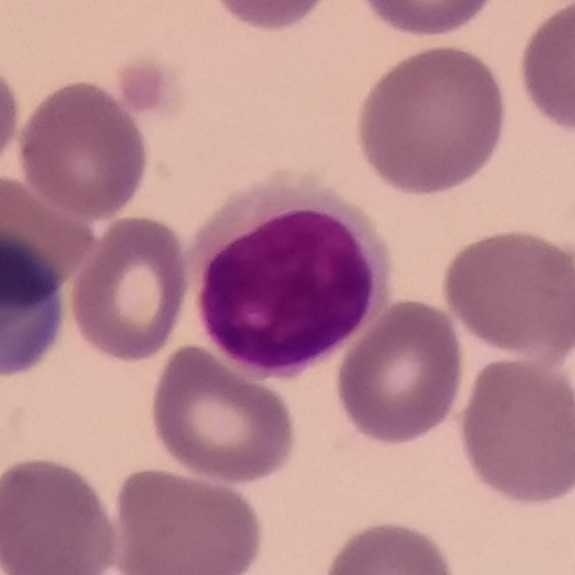

Acquisition: Single white blood cell cropped from the smear photograph. Specimen: peripheral blood smear.
Cell type: lymphocyte.